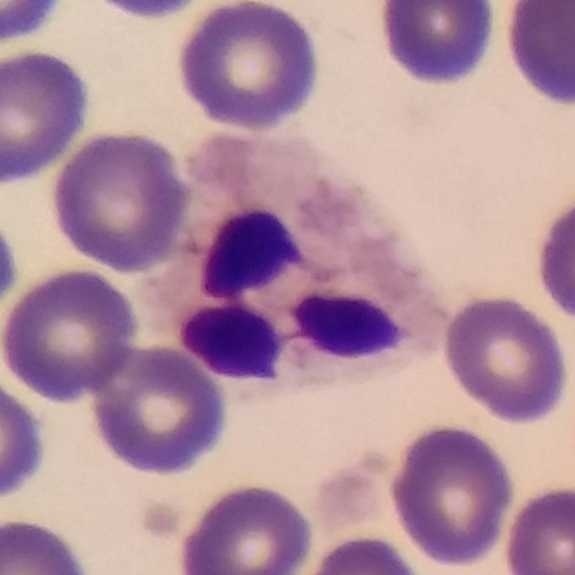 Specimen: peripheral blood smear.
Cell: neutrophilic granulocyte.
Lineage: myeloid.